Peripheral blood film — 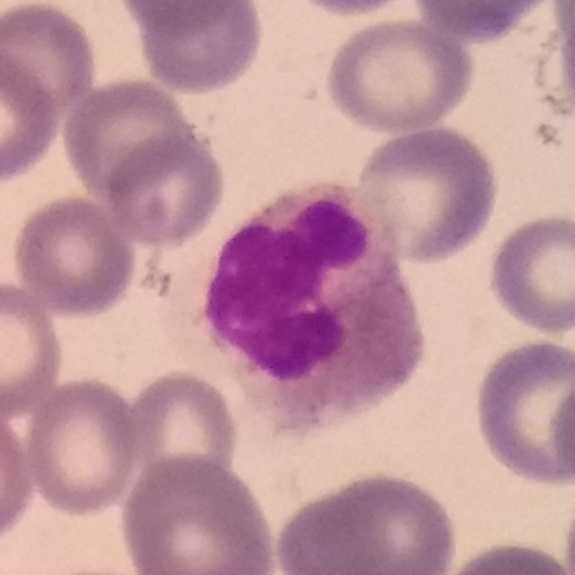

Impression — neutrophil.